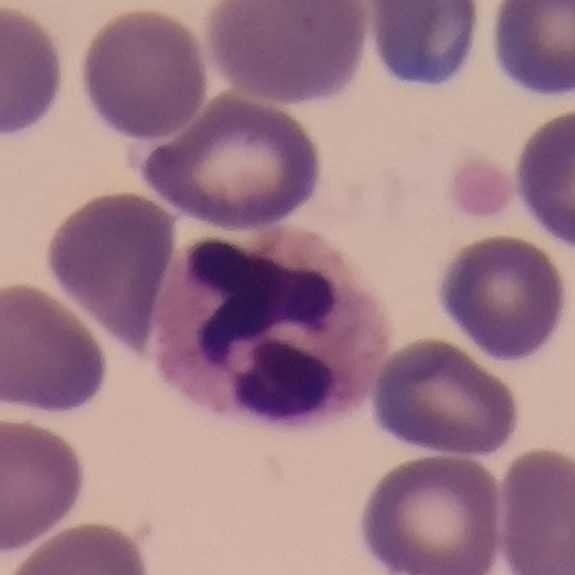Showing a neutrophil.